Peripheral blood film
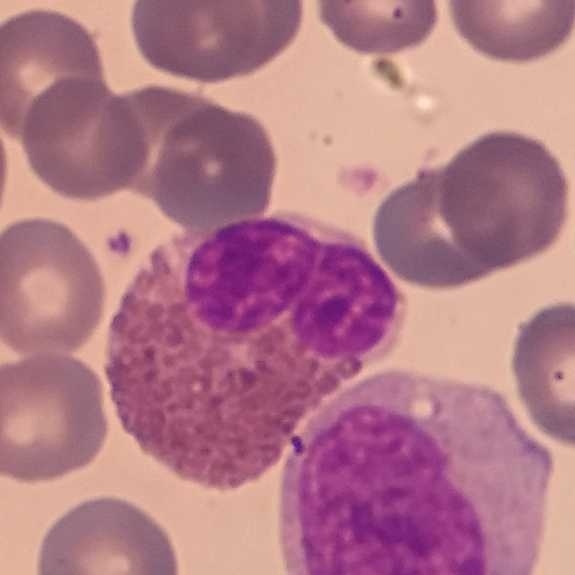
The white blood cell in this image is an eosinophilic granulocyte.